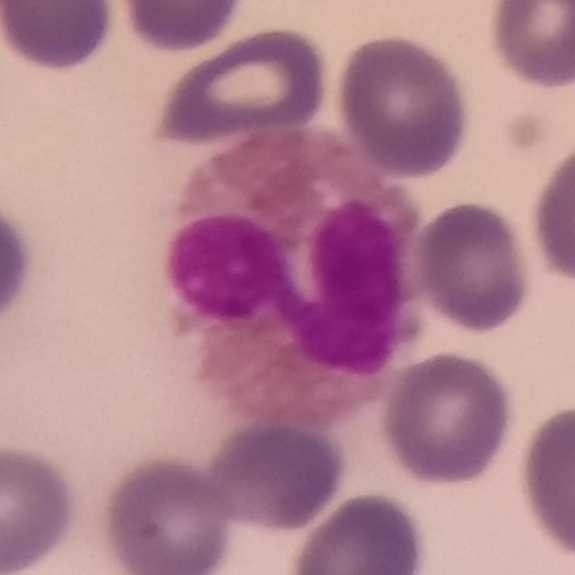 Specimen: peripheral blood film.
Cell type: eosinophilic granulocyte.
Lineage: myeloid.